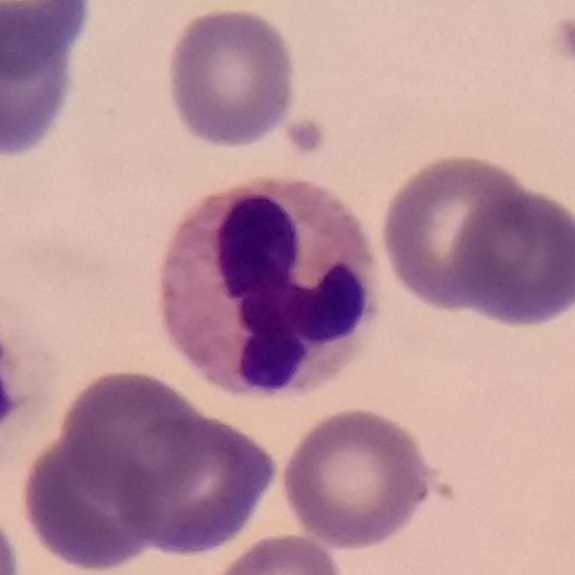

Q: What type of cell is this?
A: A neutrophilic granulocyte.